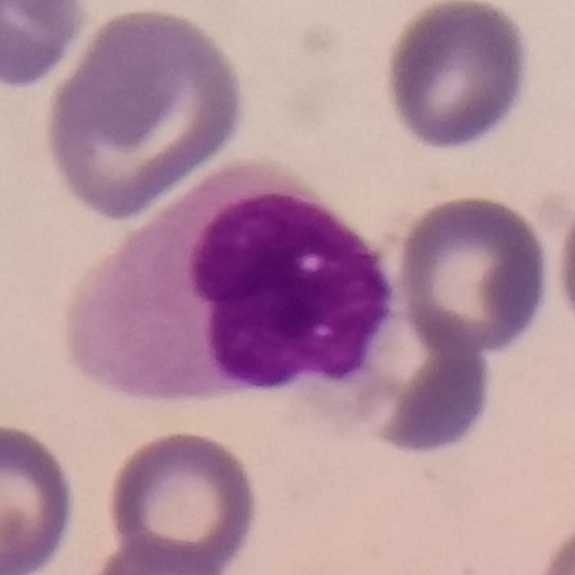 Image: 100× magnification; peripheral blood smear.

Q: What cell is this?
A: This is a monocyte.